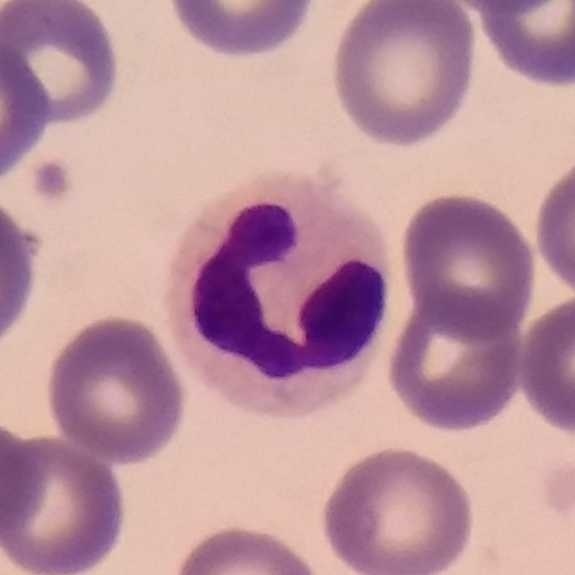
Preparation: Peripheral blood smear. {"cell_type": "neutrophil granulocyte"}